Smartphone photomicrograph · single-cell field · peripheral blood smear.
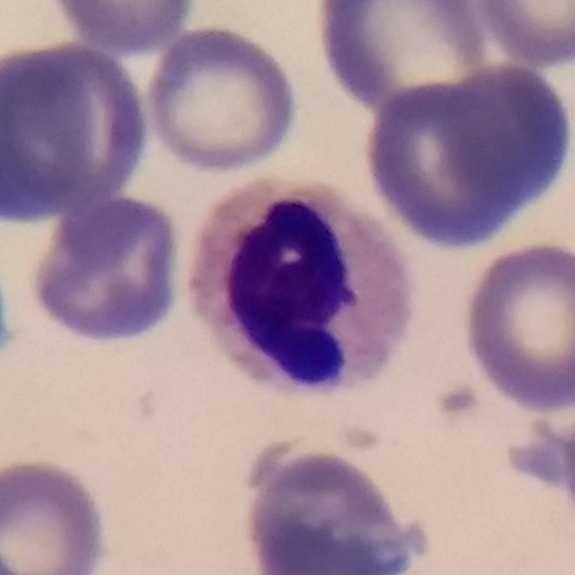

{"cell_type": "neutrophil granulocyte", "lineage": "myeloid"}